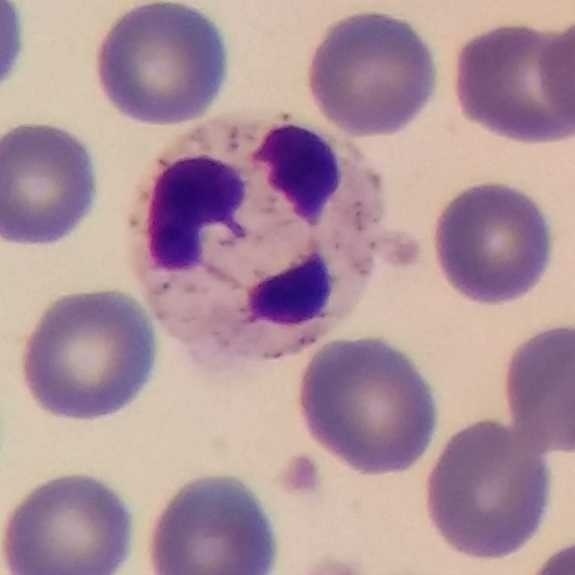White blood cell type = neutrophil.

Image: Phone-camera image taken through the microscope ocular; peripheral blood smear.